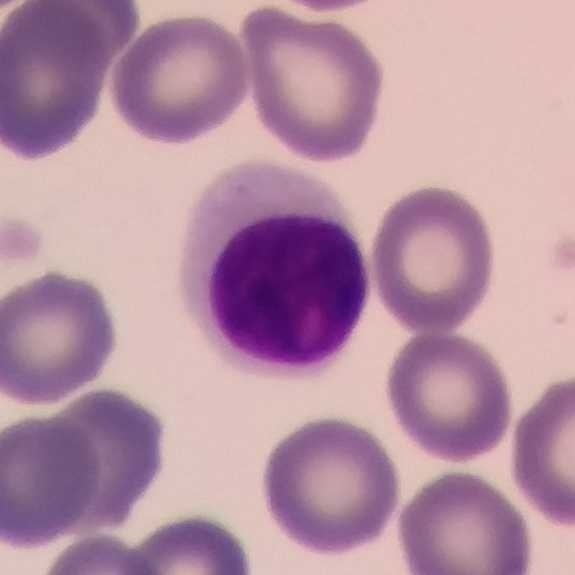
Acquisition: 100× magnification · peripheral blood smear.

Cell: lymphocyte.